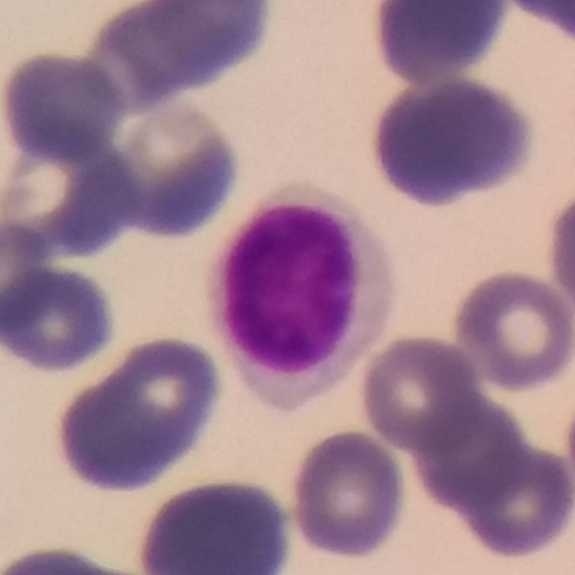

Specimen: peripheral blood film.
Classification: lymphocyte.